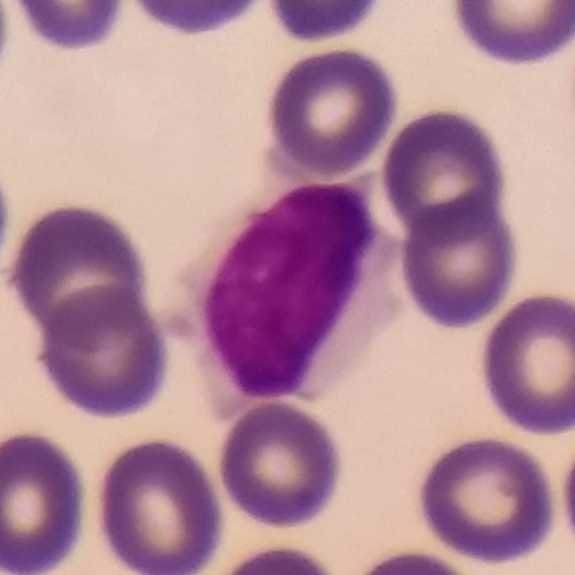

Image: Giemsa-stained; peripheral blood smear; 575×575 px.

The cell is lymphocyte.